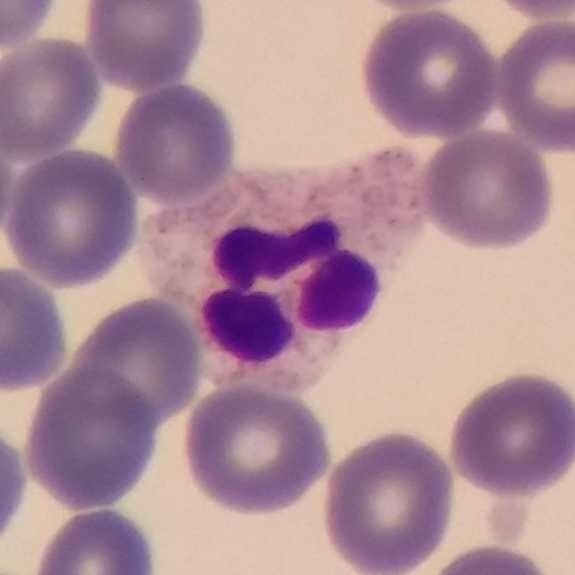

Acquisition: Peripheral blood film · imaged at 100×. White blood cell type — neutrophilic granulocyte.